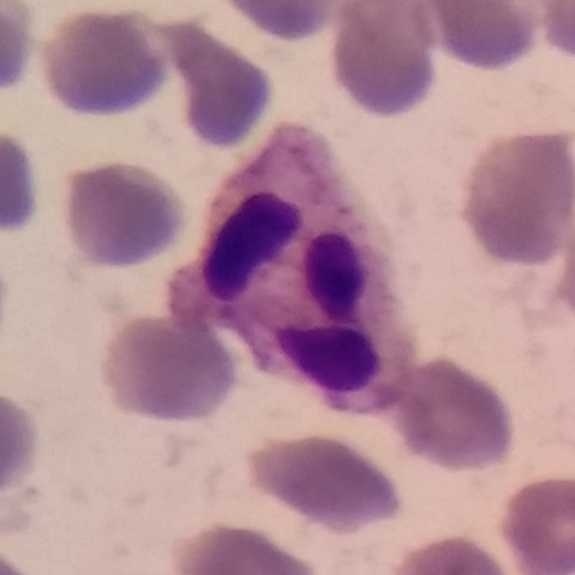

Morphology → neutrophil granulocyte.

Context: Cropped to one leukocyte. Peripheral blood film. Stained with Giemsa.